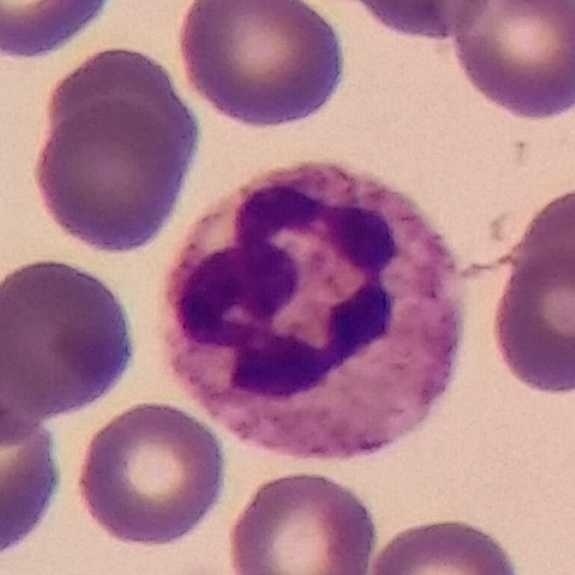
Peripheral blood smear; Giemsa stain.

Neutrophil granulocyte.